Peripheral blood film
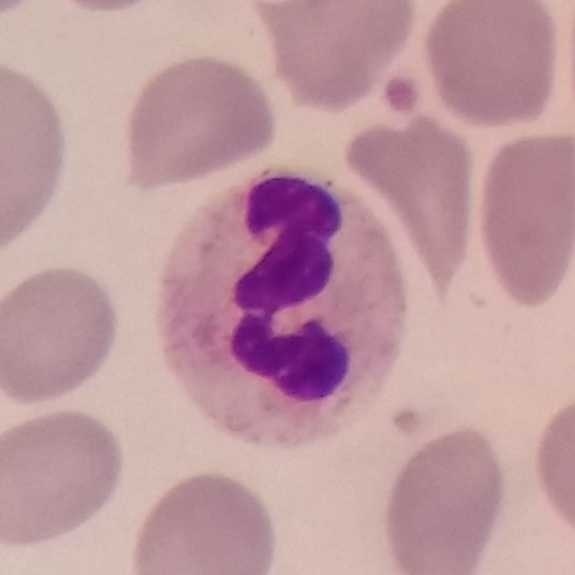Cell type: neutrophilic granulocyte.